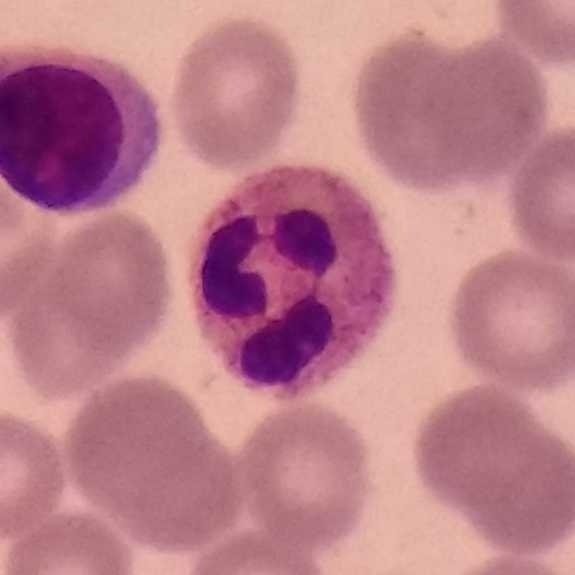
Identified as a neutrophil.